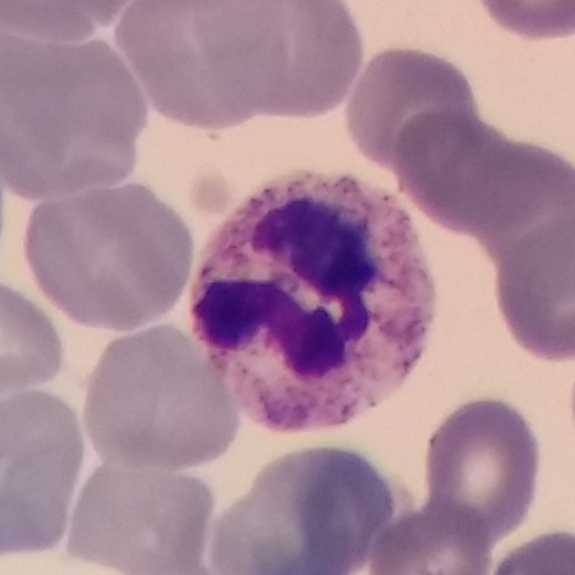

Acquisition: Giemsa stain. Peripheral blood film. Impression — neutrophil granulocyte.